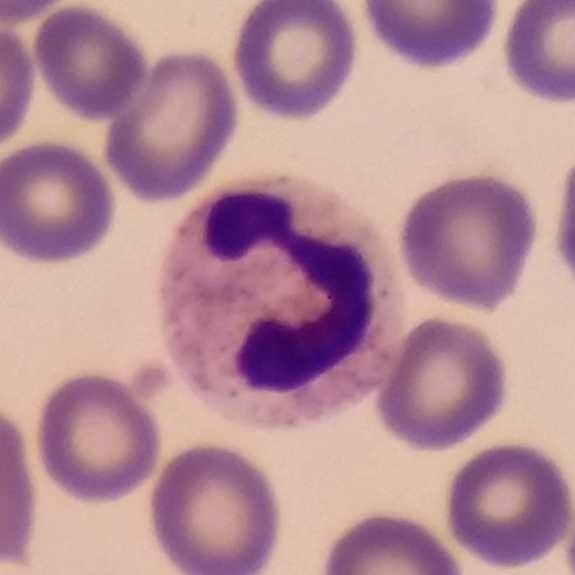Specimen: peripheral blood smear.
White blood cell type: neutrophilic granulocyte.
Lineage: myeloid.